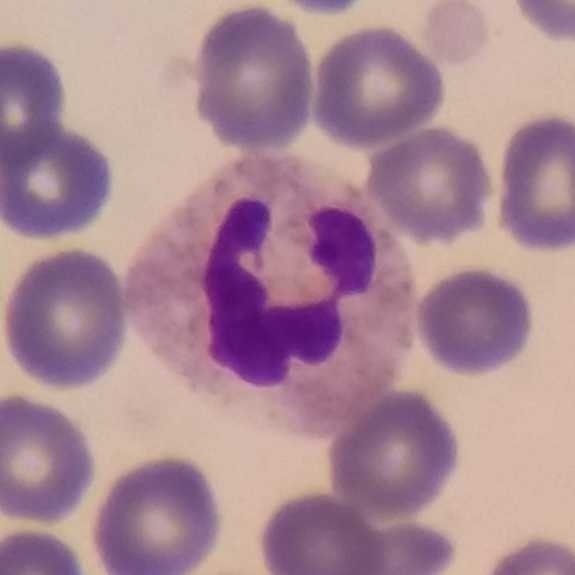 Preparation: Peripheral blood film.

The white blood cell type is neutrophil.